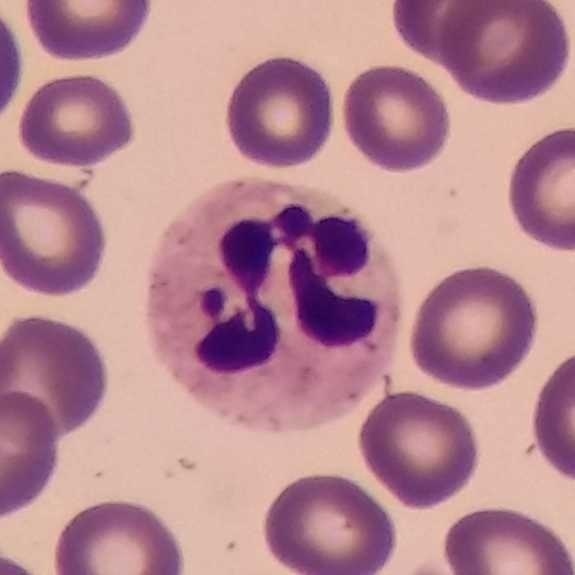 Q: What is shown here?
A: A neutrophil granulocyte. 100× magnification. Peripheral blood film. Phone-camera image taken through the microscope ocular.